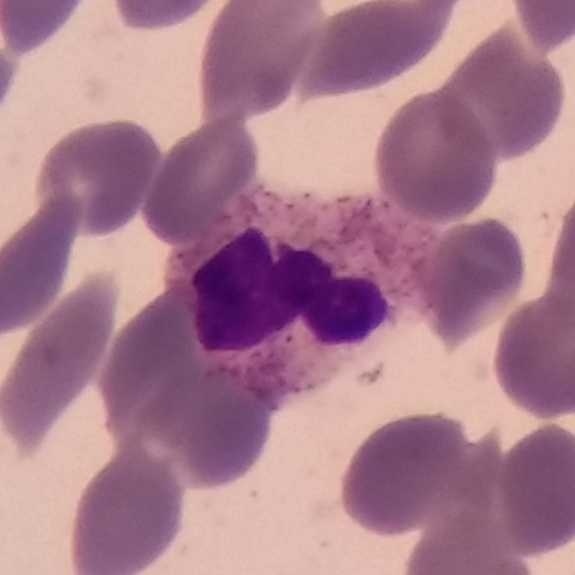
Impression → neutrophil.

Preparation: Image size 575×575. Peripheral blood film.